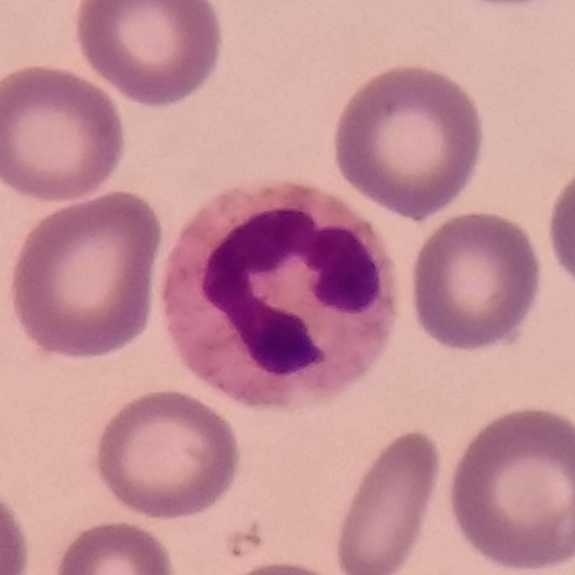

Specimen: peripheral blood film.
Classification: neutrophil. Context: Single-cell field. 575×575 px.